Peripheral blood film — 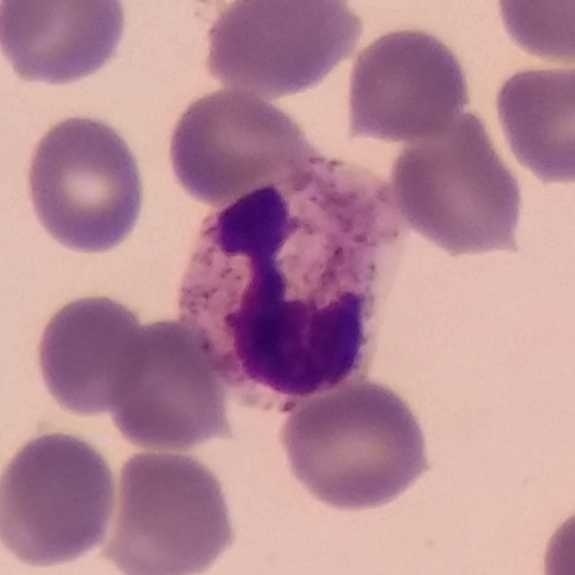
This is a neutrophil.